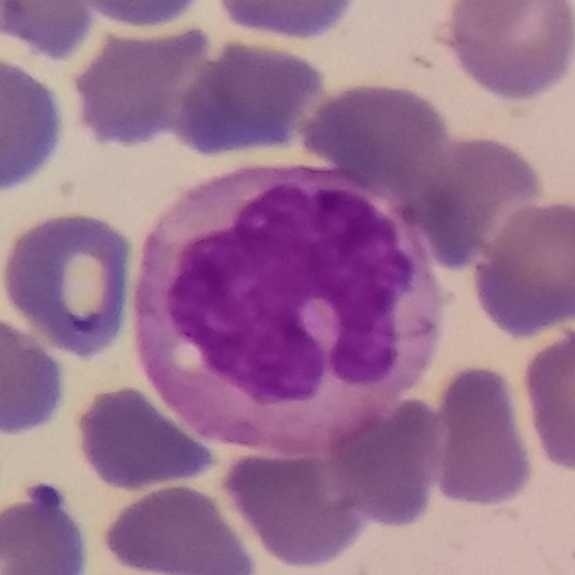

Specimen: peripheral blood smear.
Cell: monocyte.